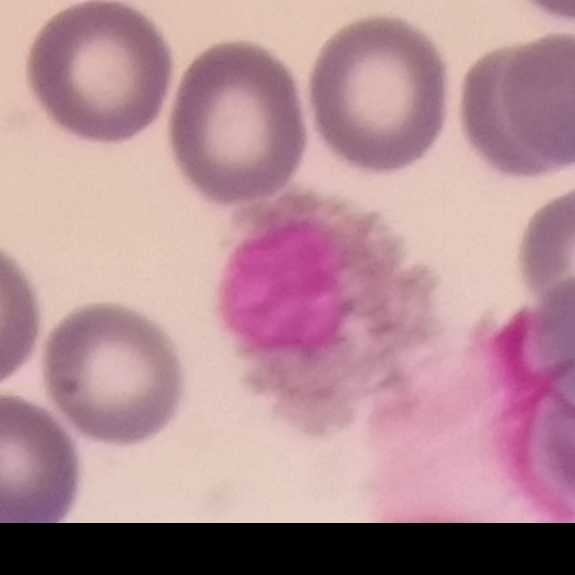
575 by 575 pixels; peripheral blood film. The white blood cell type is eosinophilic granulocyte.